Magnification 100×; peripheral blood film: 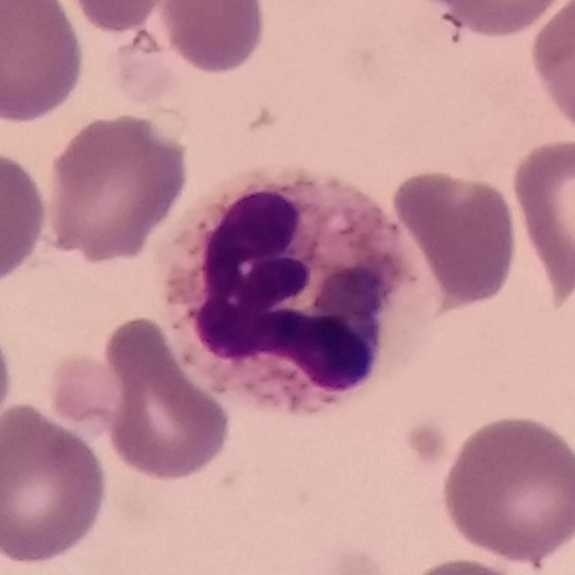

A neutrophilic granulocyte.